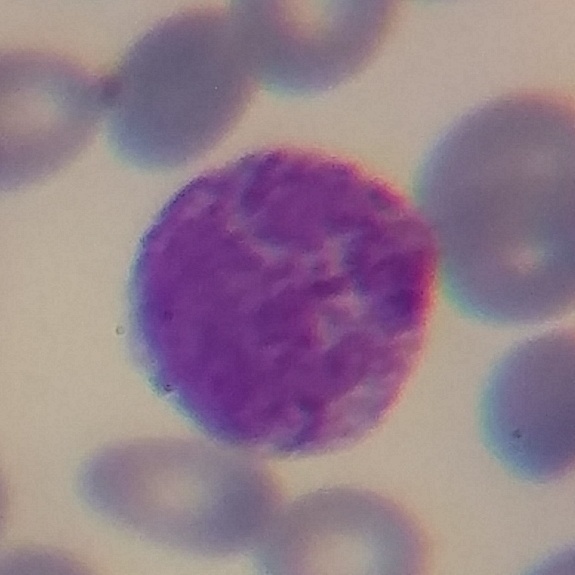 From a peripheral blood smear: a basophilic granulocyte.